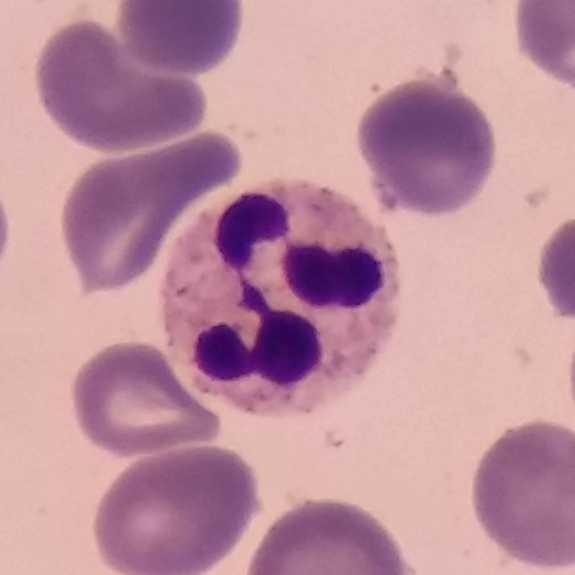
Cell type: neutrophilic granulocyte.